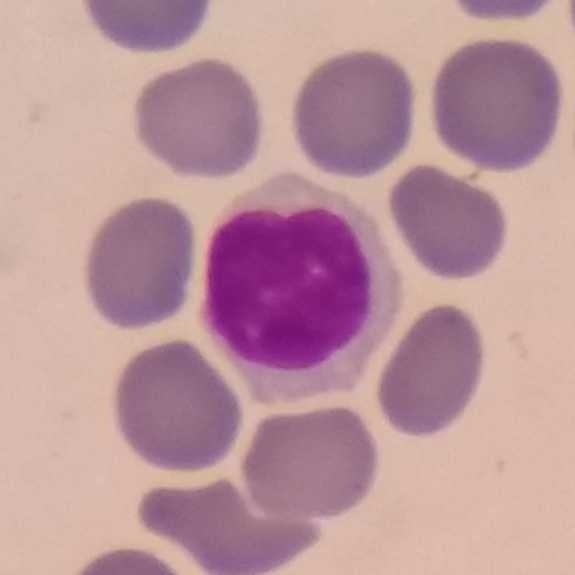The white blood cell in this image is a lymphocyte.